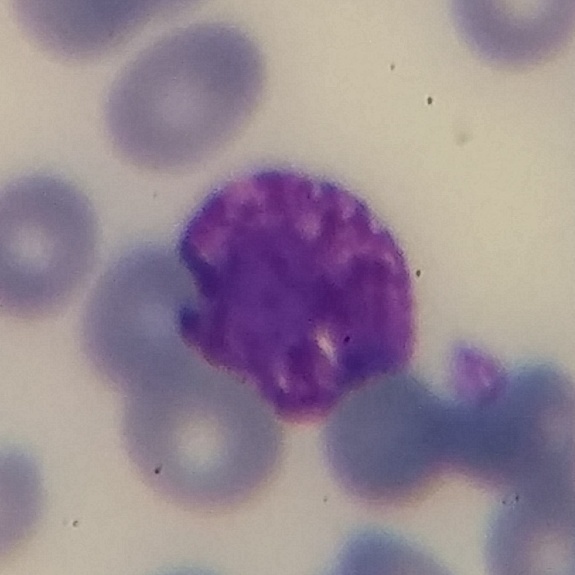Image: Peripheral blood film; single-cell crop; smartphone camera mounted on the microscope eyepiece.
A basophilic granulocyte.